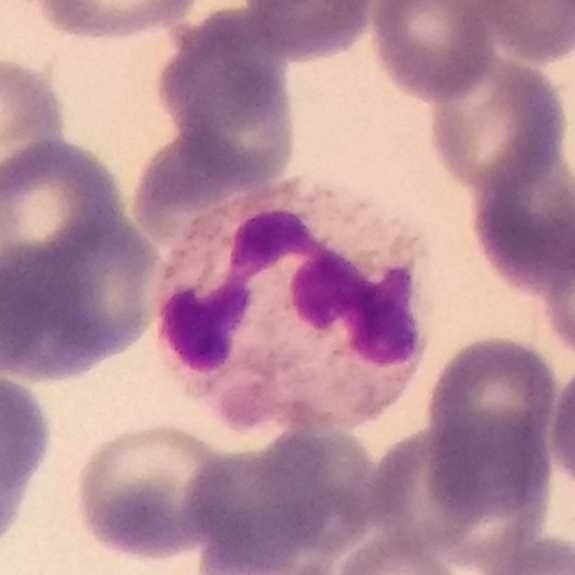 Morphological class = neutrophilic granulocyte.